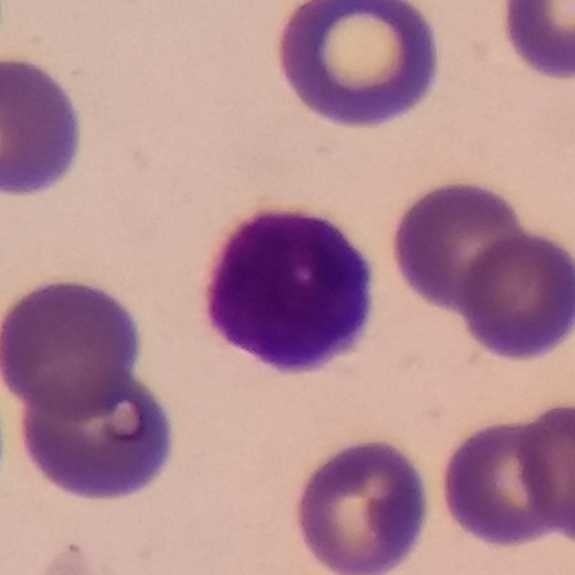Preparation: 575 by 575 pixels; peripheral blood film.

Q: What type of cell is this?
A: It is a lymphocyte.